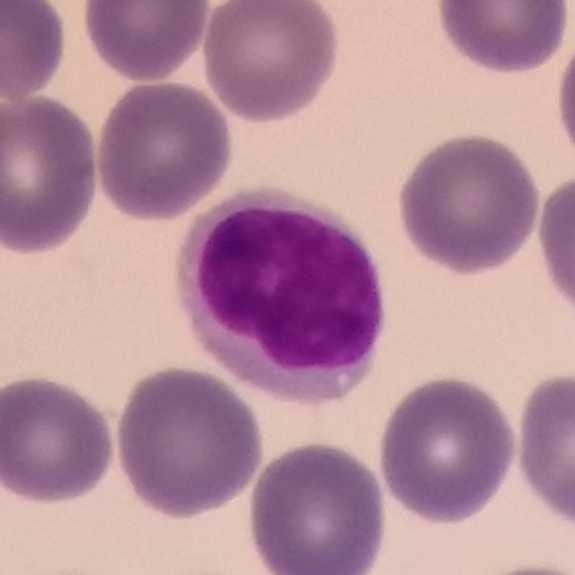
Image size 575×575; peripheral blood film.

Identified as a lymphocyte.